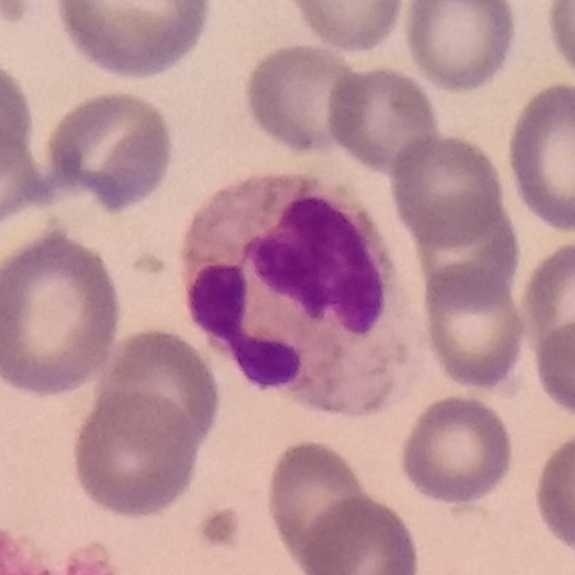
A neutrophil on a peripheral blood smear.